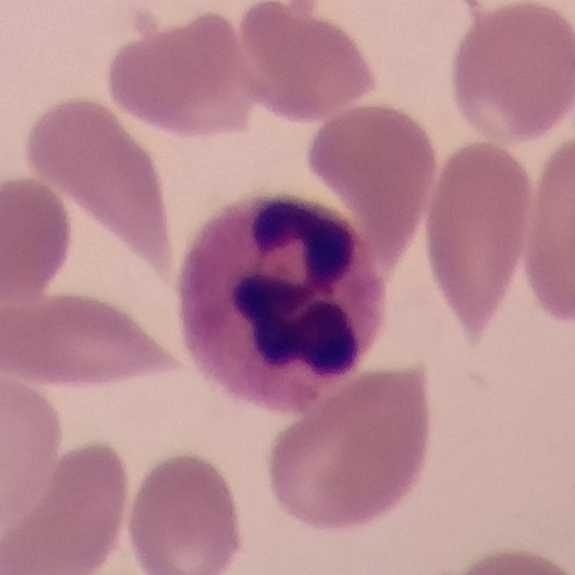Impression → neutrophil.